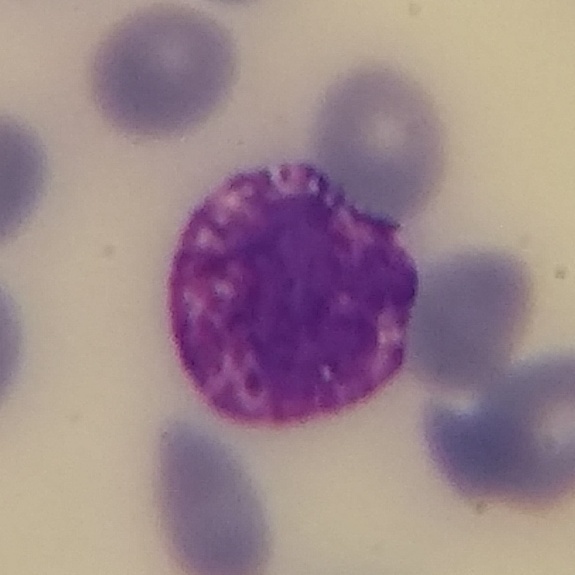Showing a basophilic granulocyte. Smartphone photomicrograph; peripheral blood smear.